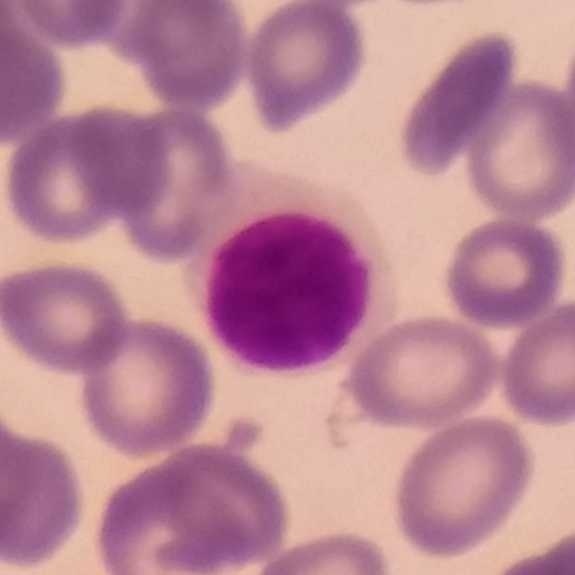Morphology consistent with a lymphocyte.

Preparation: Peripheral blood smear; Giemsa stain.